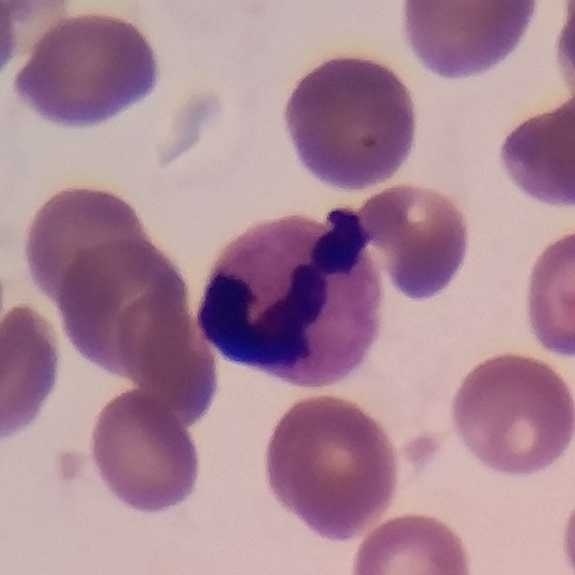

Showing a neutrophilic granulocyte.

Image: Peripheral blood film.